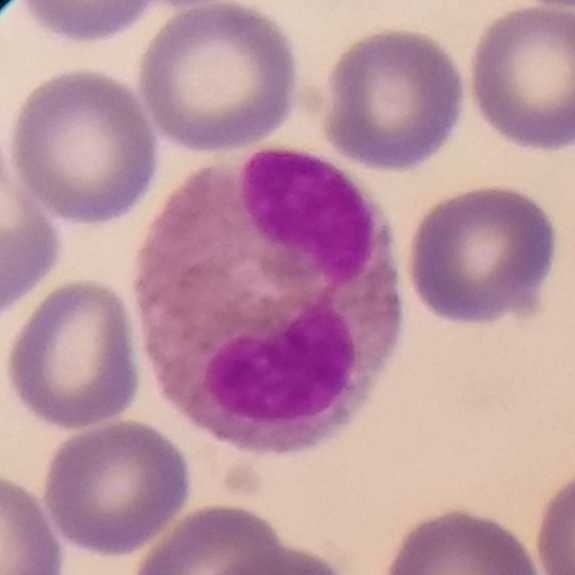
This is an eosinophil.